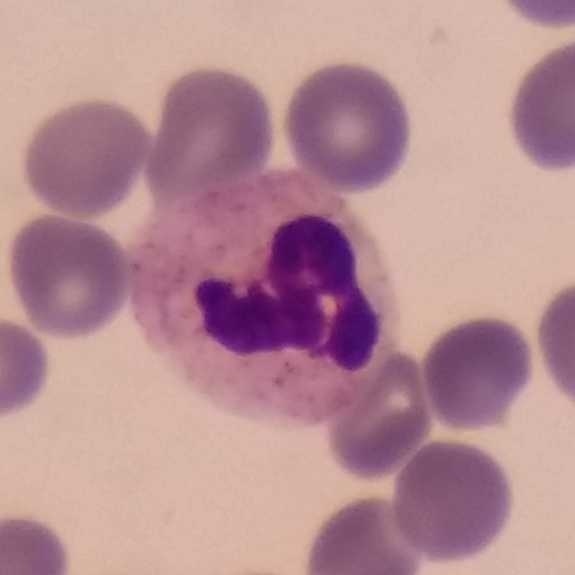 Peripheral blood smear.

Q: Which cell type is shown here?
A: Neutrophil.